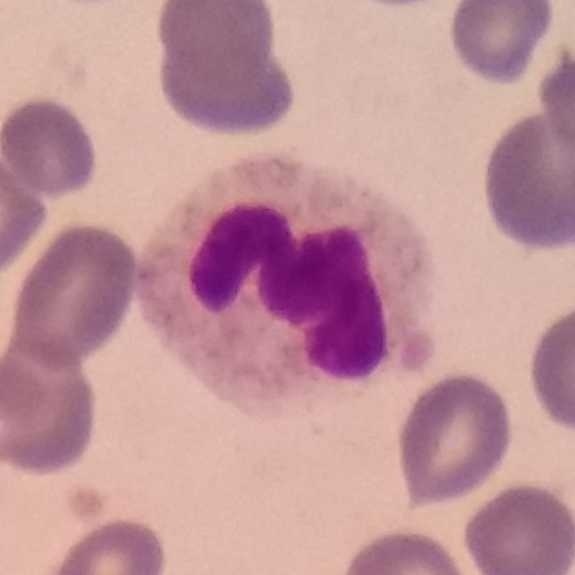 Cell: neutrophil.